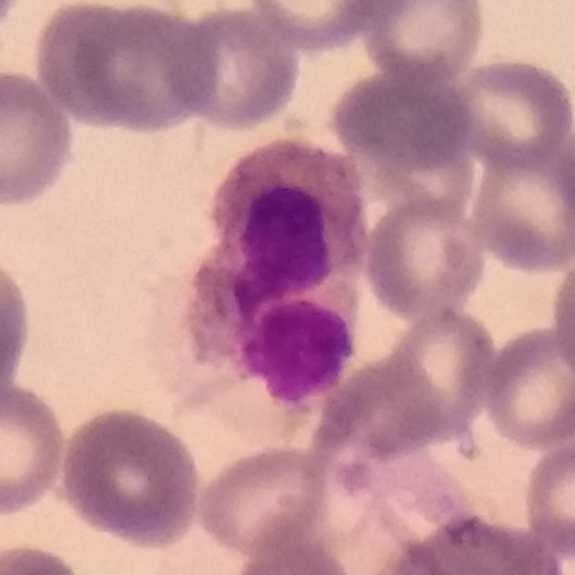

Single cell identified as an eosinophil.